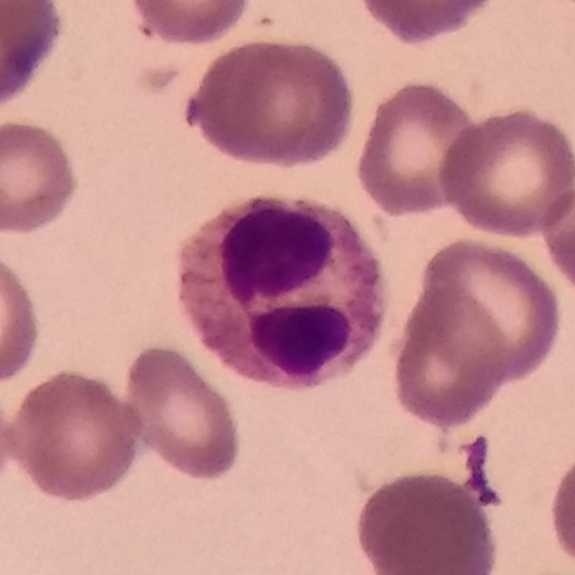Q: Which cell type is shown here?
A: A neutrophil.